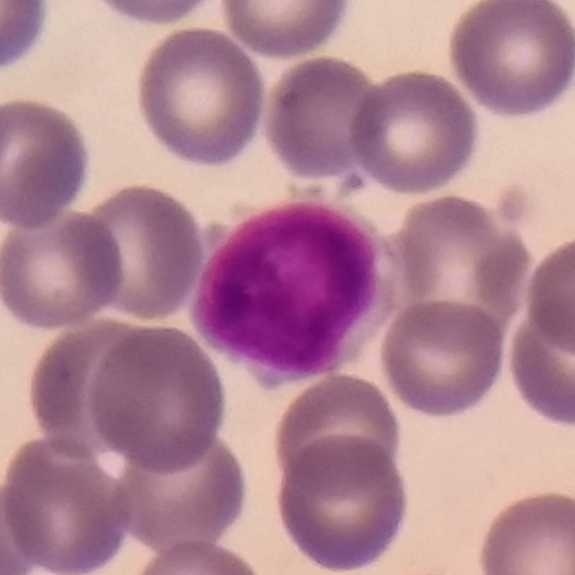
Q: Classify this leukocyte.
A: Lymphocyte.

Preparation: Peripheral blood film.